Single-cell field. Peripheral blood film.
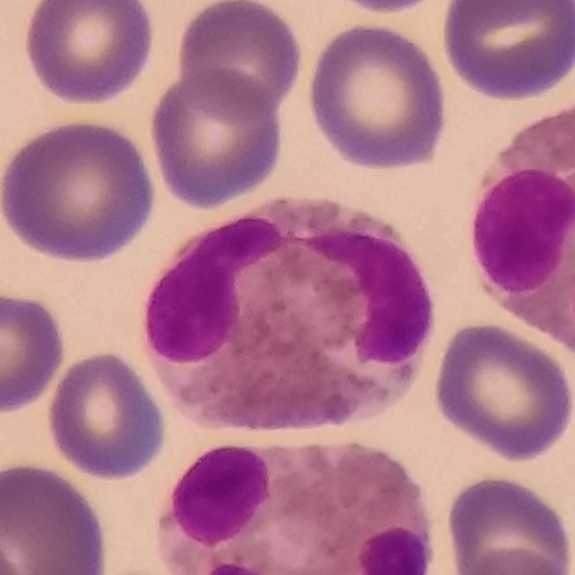 Identified as an eosinophil.